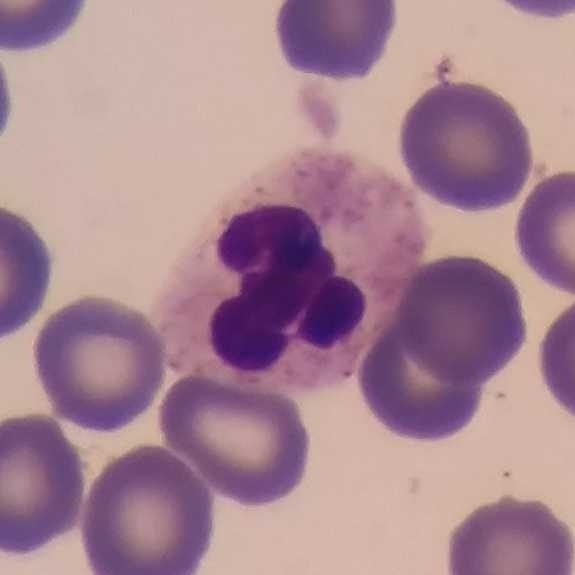
Preparation: Peripheral blood film · smartphone camera mounted on the microscope eyepiece.

Cell type = neutrophil granulocyte.